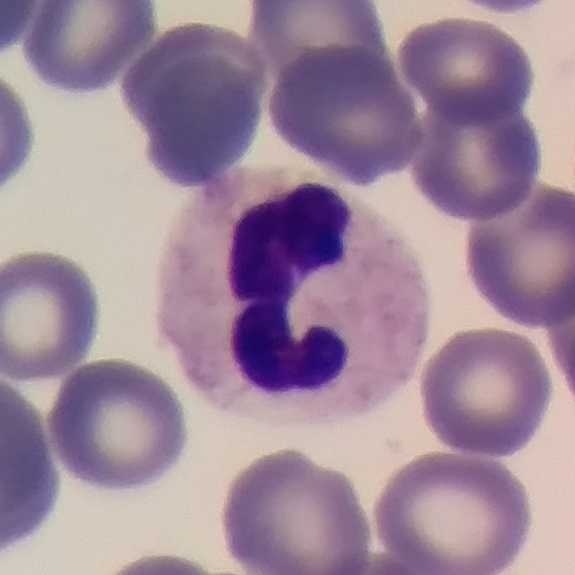Q: What cell is this?
A: A neutrophil granulocyte. Acquisition: Peripheral blood film.